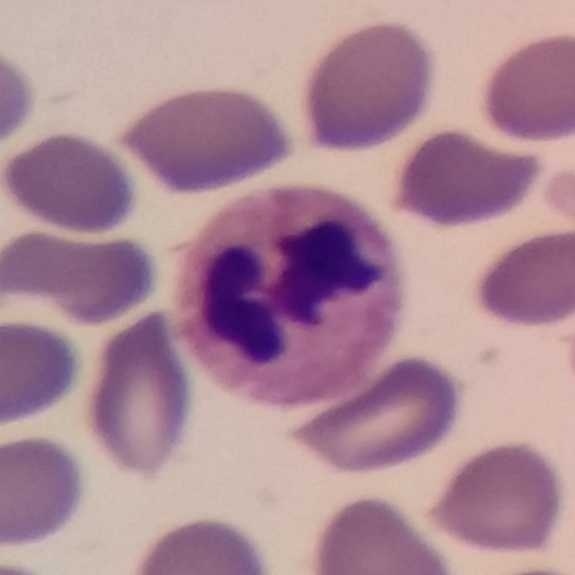

White blood cell type = neutrophil. Preparation: Peripheral blood smear. 575 by 575 pixels.